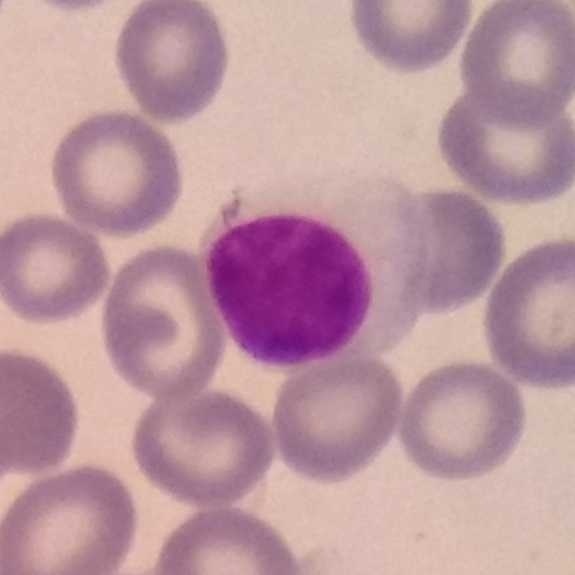 Preparation: Peripheral blood smear. Morphology → lymphocyte.